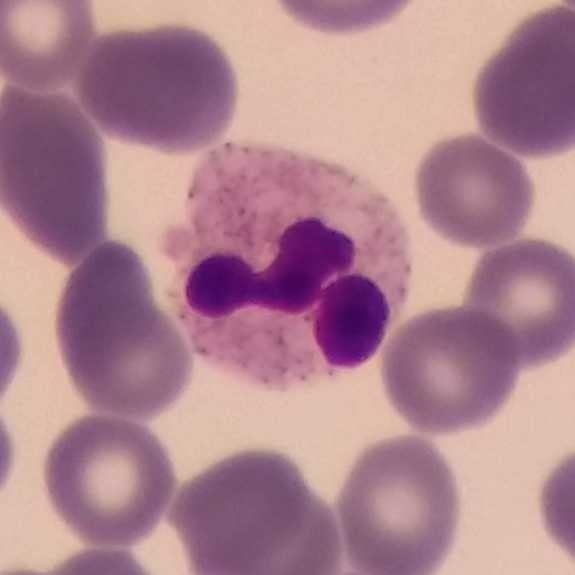 Preparation: Peripheral blood smear.

The morphological class is neutrophil.